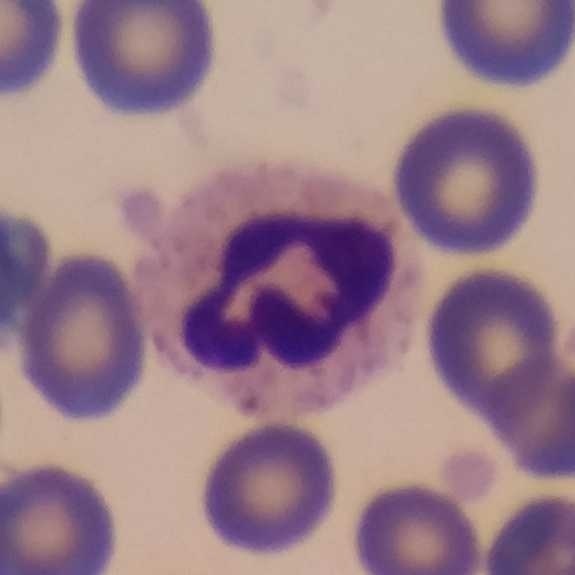

Q: Which cell type is shown here?
A: This is a neutrophilic granulocyte. Peripheral blood smear.